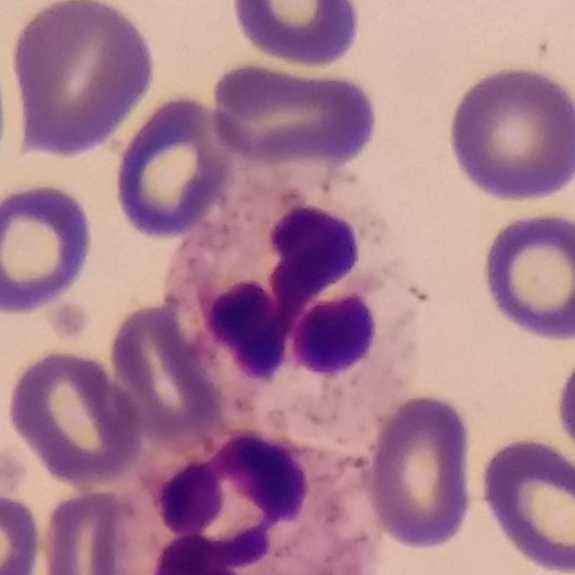 The white blood cell in this image is a neutrophil.

Context: Magnification 100×. 575 by 575 pixels. Peripheral blood smear.